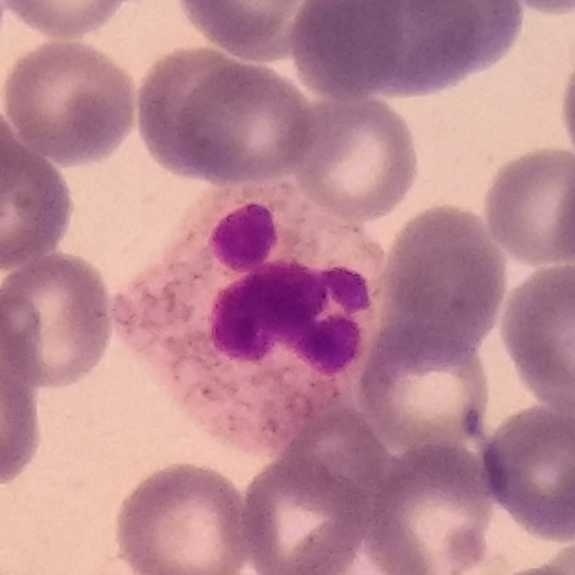

Preparation: Peripheral blood smear. Cell: neutrophilic granulocyte.